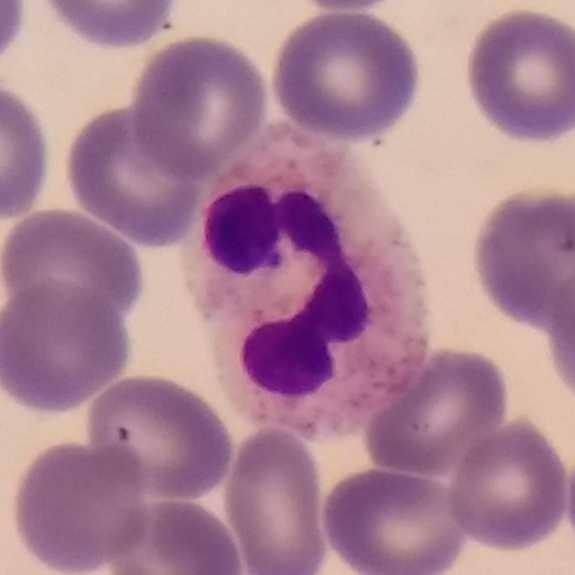

Morphology → neutrophil. Context: Magnification 100× · peripheral blood film · smartphone camera mounted on the microscope eyepiece.